Photographed through a light microscope with a smartphone camera · peripheral blood film:
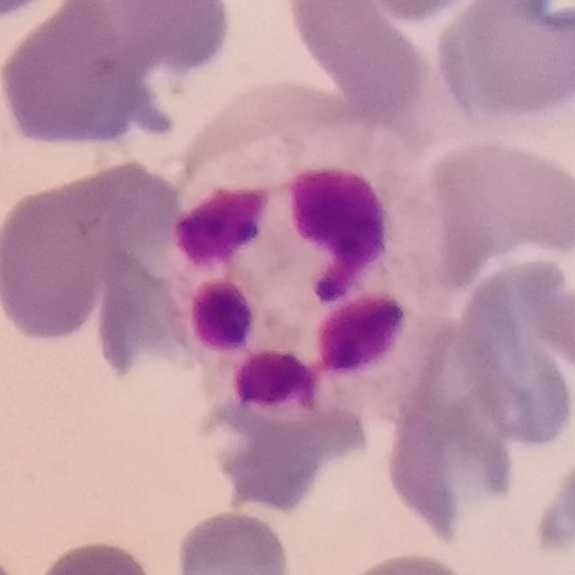
Q: What type of cell is this?
A: It is a neutrophil granulocyte.